Peripheral blood film:
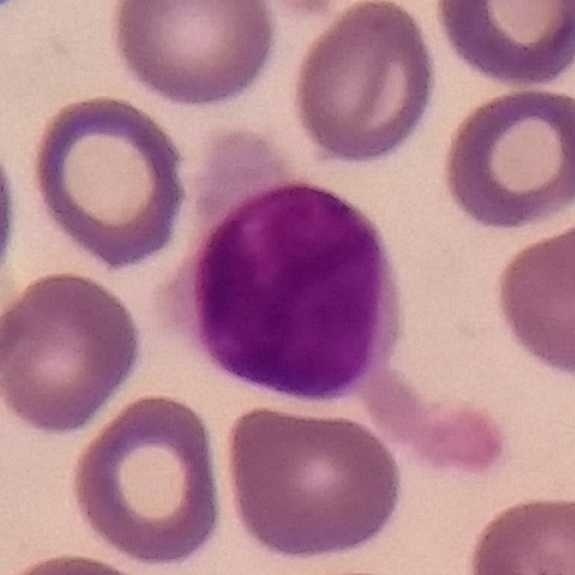 Q: Which type of white blood cell is this?
A: A lymphocyte.